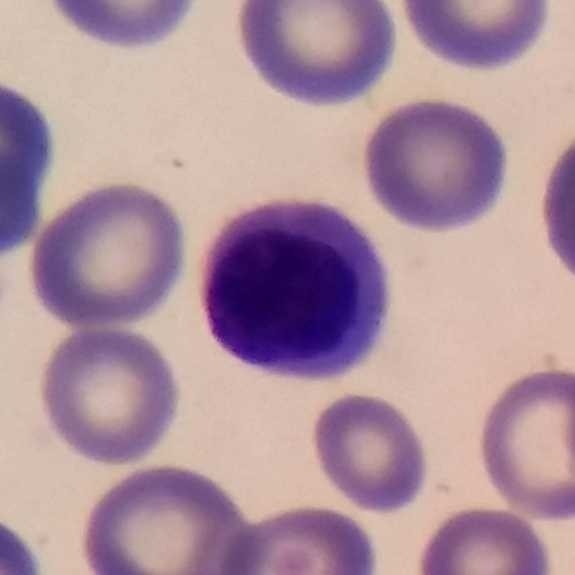 Acquisition: Peripheral blood film. Classification — lymphocyte.